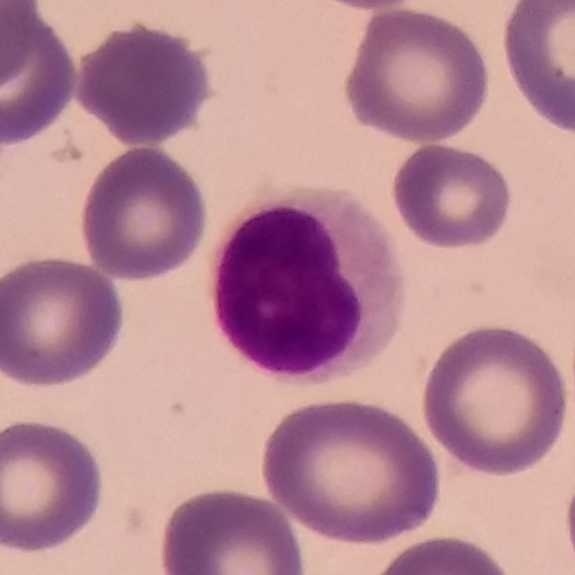 Cropped to one leukocyte.

Specimen: peripheral blood film.
Cell type: lymphocyte.
Lineage: lymphoid.